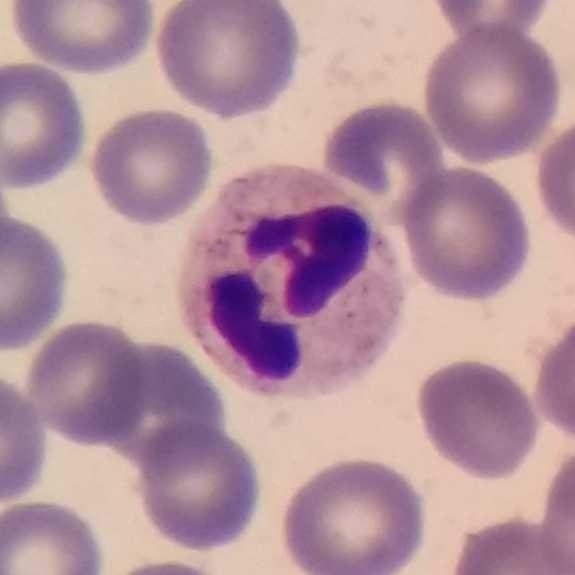Peripheral blood film · 575 by 575 pixels. Q: What is this?
A: This is a neutrophil granulocyte.